575 by 575 pixels; peripheral blood smear.
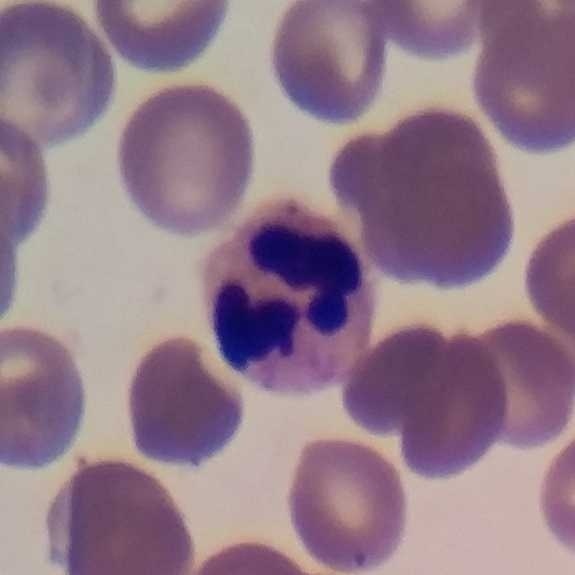

Impression — neutrophil.